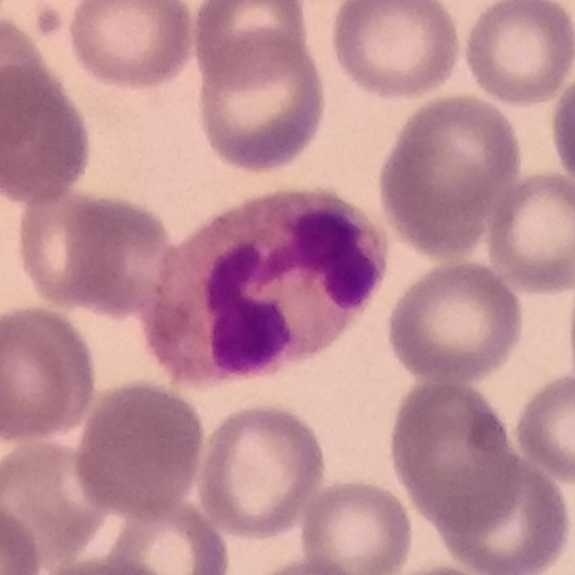 Image: Peripheral blood film. This is a neutrophil granulocyte.